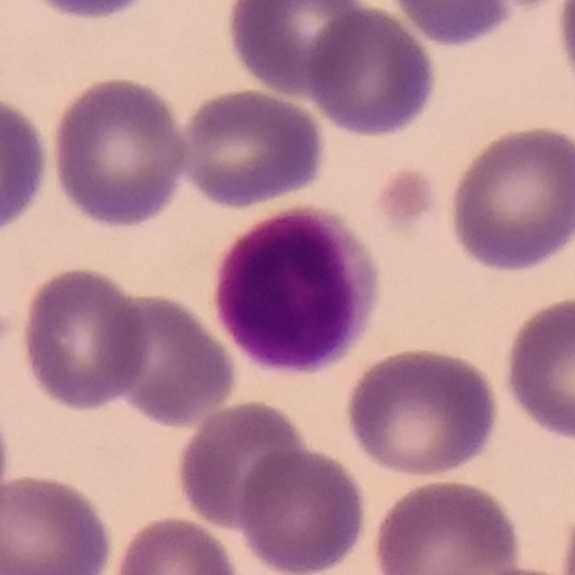
Q: What type of cell is this?
A: This is a lymphocyte. Peripheral blood film.